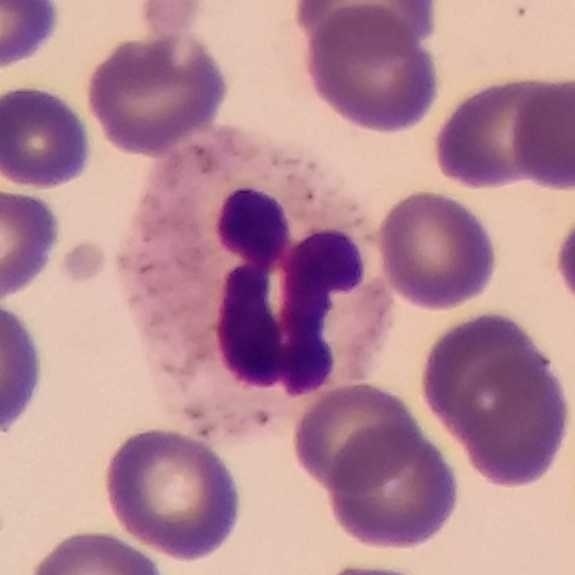This is a neutrophil granulocyte.
Context: Giemsa-stained; peripheral blood smear.